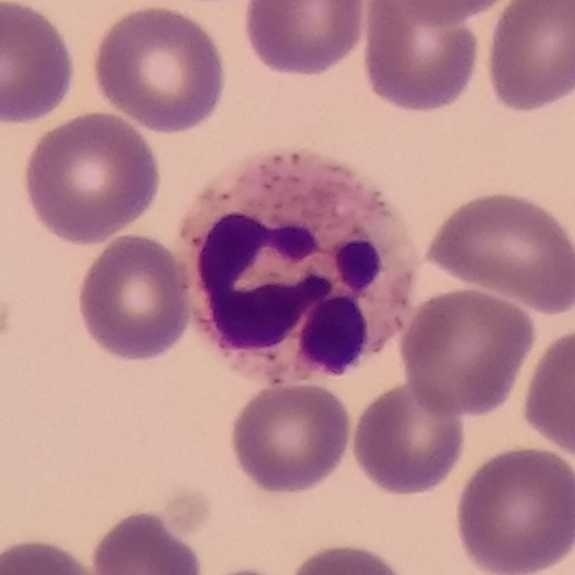
Morphology — neutrophilic granulocyte.